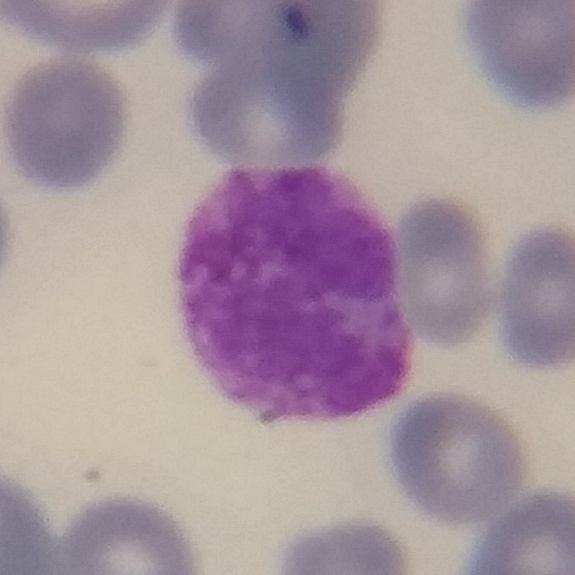
Impression → basophil.
Preparation: Cropped to one leukocyte. Peripheral blood film. Photographed through a light microscope with a smartphone camera.